Peripheral blood smear; smartphone camera mounted on the microscope eyepiece; single-cell field: 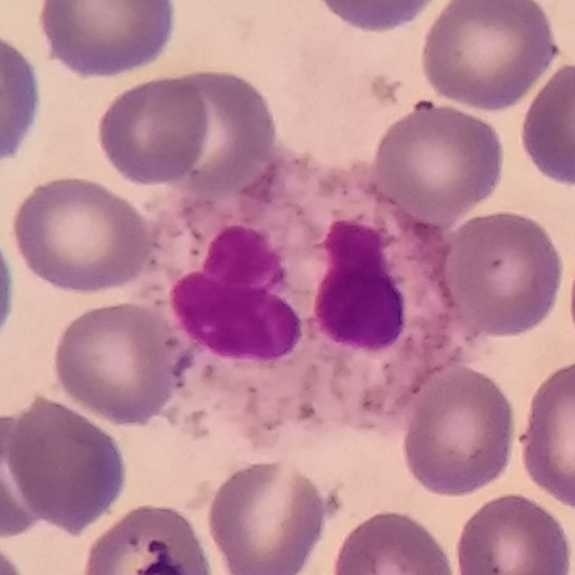

Specimen: peripheral blood film.
Cell type: neutrophil.
Lineage: myeloid.